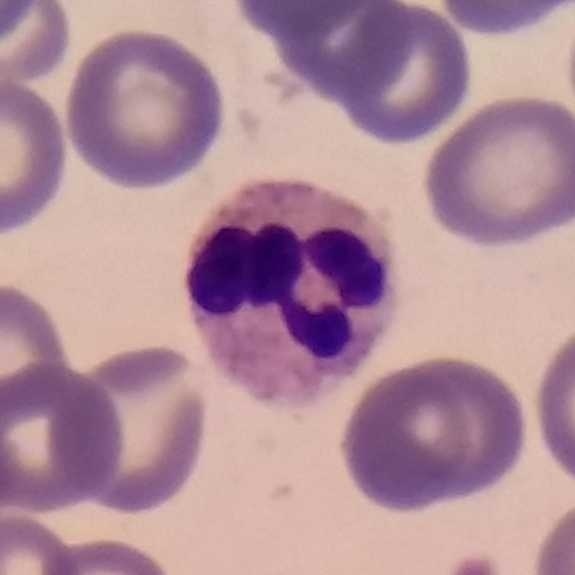

Context: Single-cell crop. Peripheral blood film. Giemsa stain.

The cell shown is a neutrophilic granulocyte.